Peripheral blood smear · stained with Giemsa · single white blood cell cropped from the smear photograph
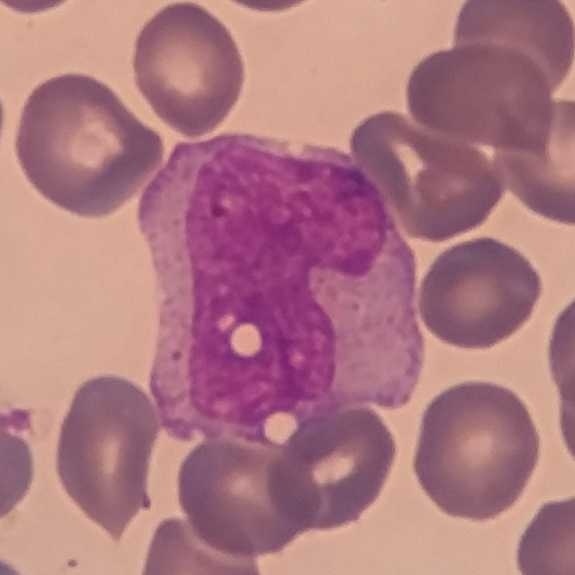 Impression → monocyte.